Image size 575×575 · peripheral blood film — 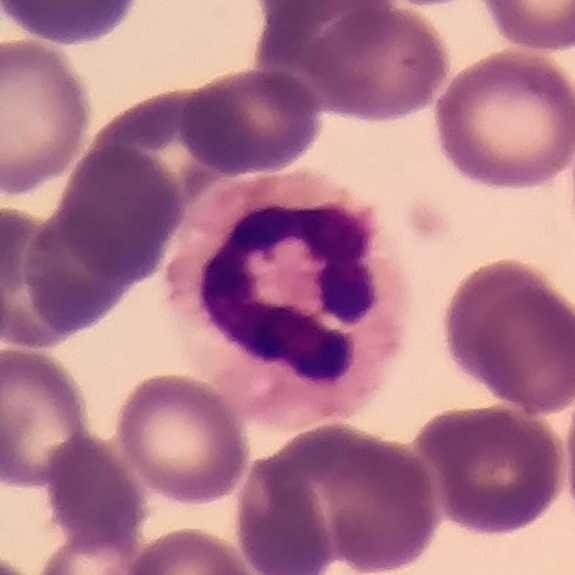

The cell is neutrophilic granulocyte.